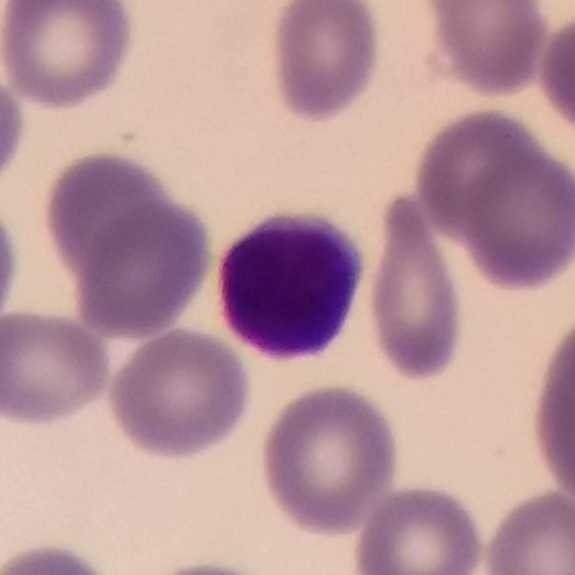 Morphology → lymphocyte.
Preparation: Peripheral blood smear; stained with Giemsa.